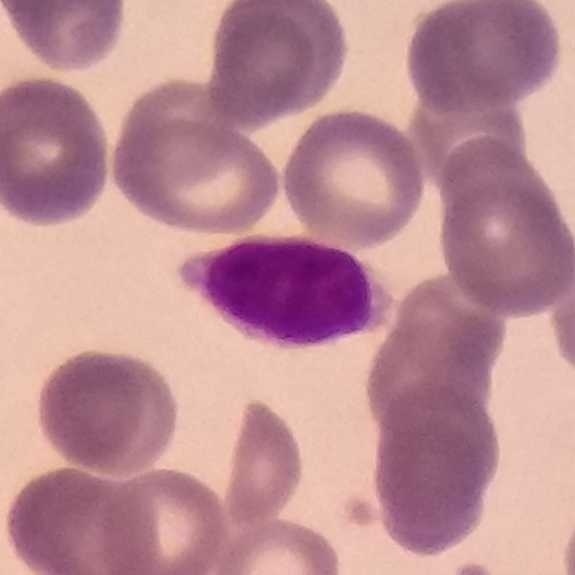

Classification = lymphocyte.